Peripheral blood film:
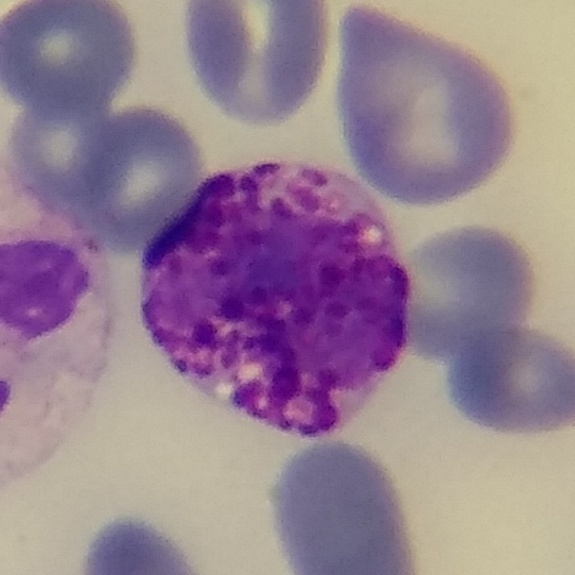The white blood cell in this image is a basophilic granulocyte.